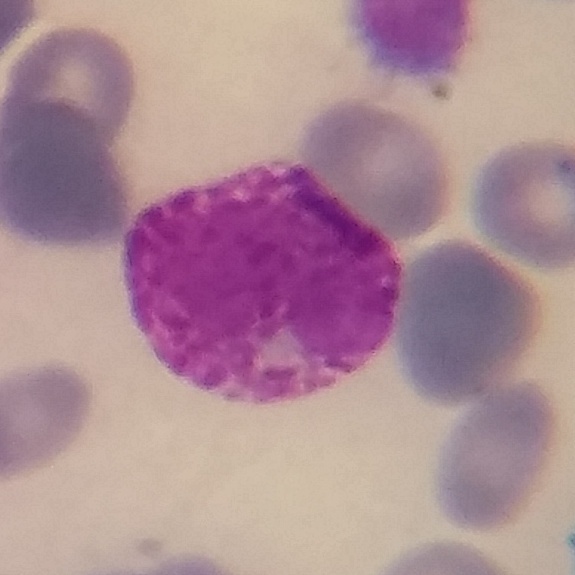The white blood cell in this image is a basophilic granulocyte.